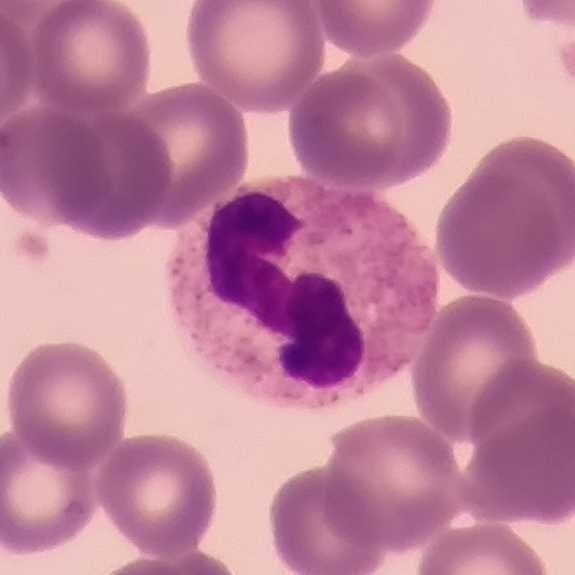 The white blood cell type is neutrophil granulocyte.

Preparation: Peripheral blood smear.